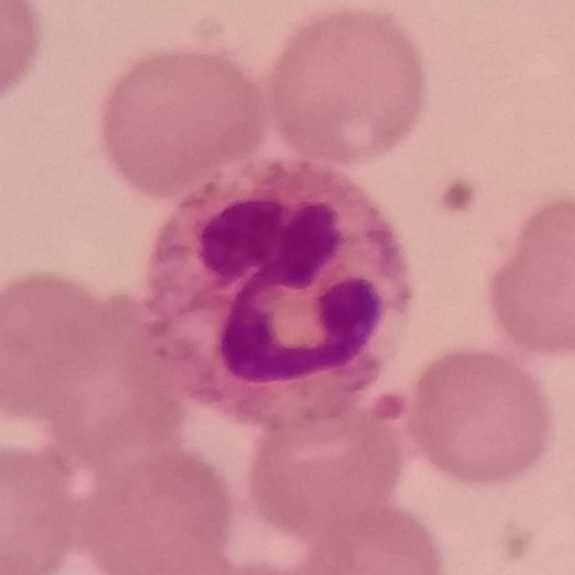 Q: Classify this leukocyte.
A: Neutrophil.

Image: Peripheral blood smear. 575 by 575 pixels.